Giemsa-stained · peripheral blood smear: 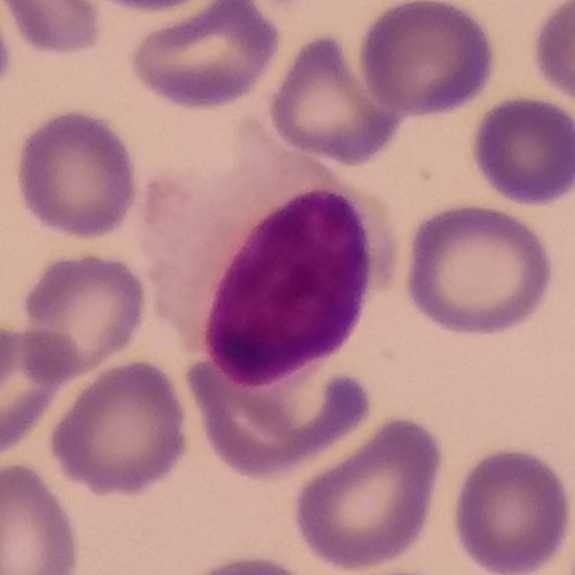 Single cell identified as a lymphocyte.